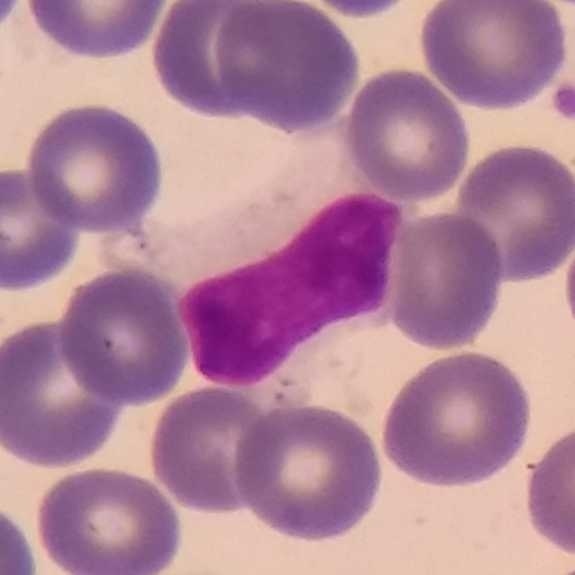 Preparation: Peripheral blood smear.

Single cell identified as a lymphocyte.